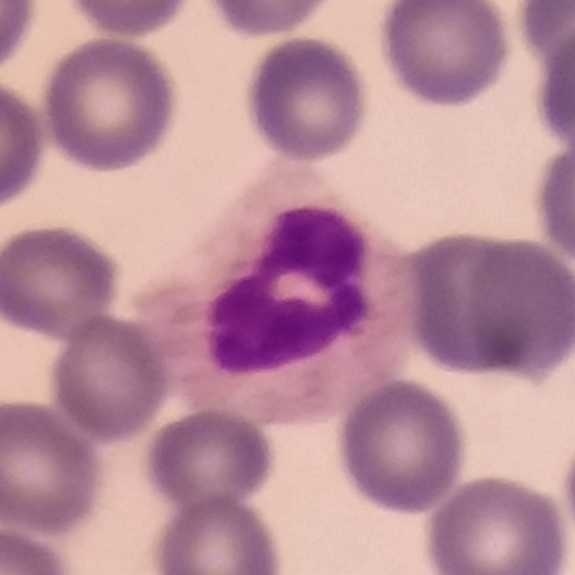

Showing a neutrophil. Context: Peripheral blood smear · image size 575×575.